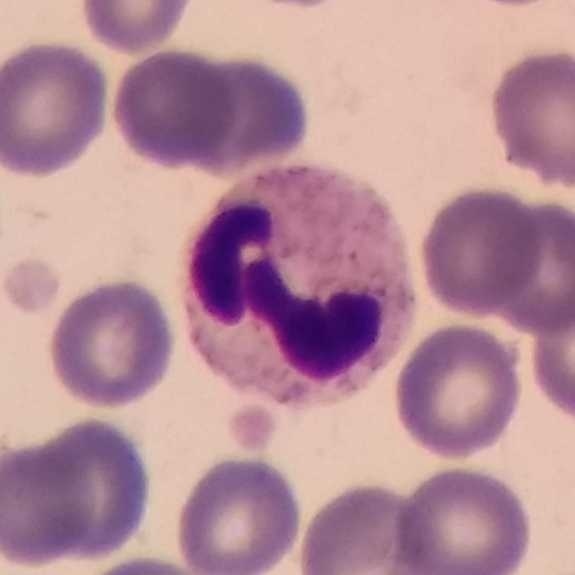The cell shown is a neutrophil granulocyte.

Acquisition: Single-cell field · image size 575×575 · peripheral blood smear.